Peripheral blood film · imaged at 100× · image size 575×575
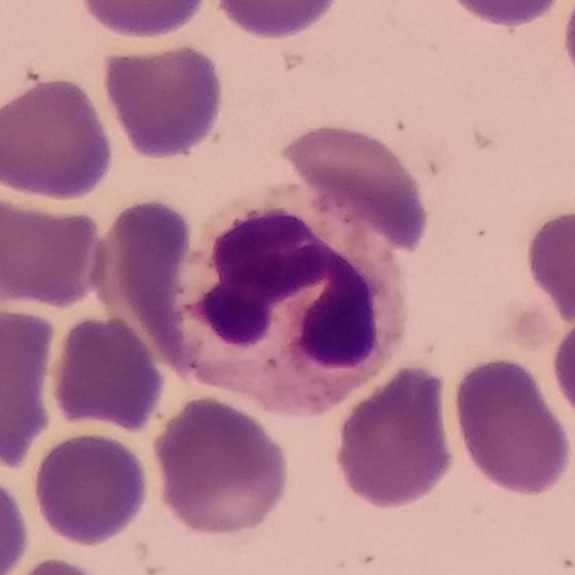Showing a neutrophilic granulocyte.